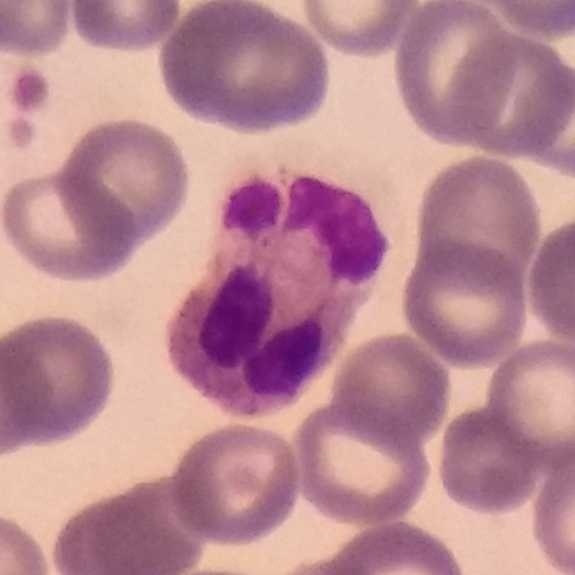
Specimen: peripheral blood film.
Cell: neutrophil granulocyte.